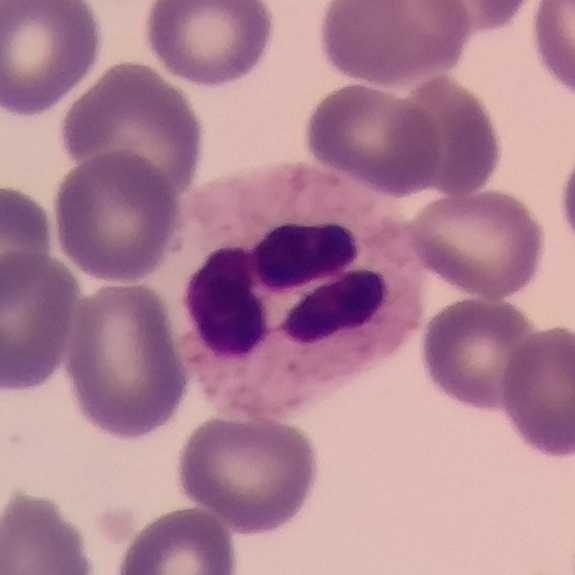Showing a neutrophilic granulocyte.